Peripheral blood film; single-cell crop
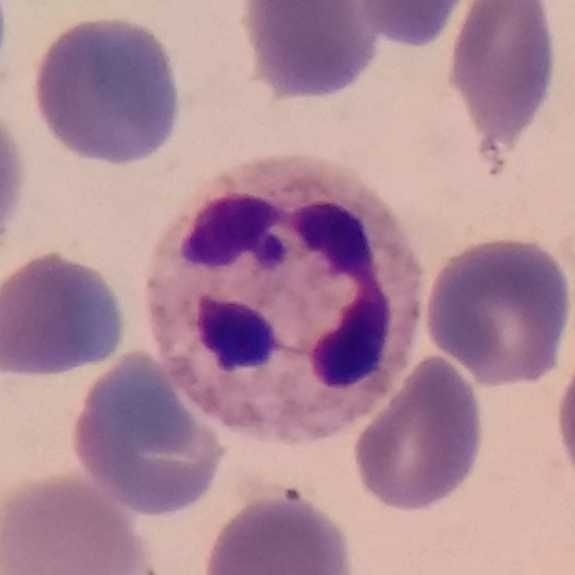 Cell type — neutrophil.